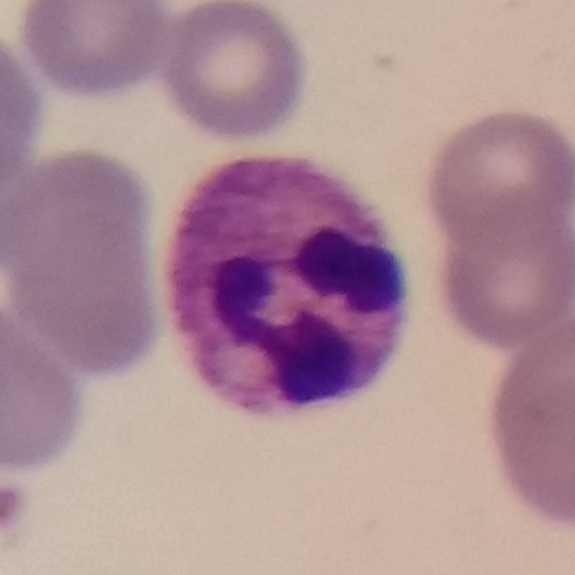

Impression — neutrophil.
Image: Peripheral blood smear. Smartphone camera mounted on the microscope eyepiece.